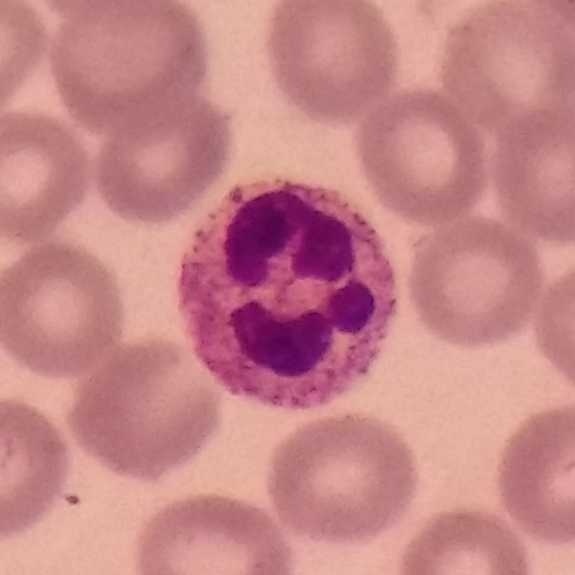Image: Smartphone camera mounted on the microscope eyepiece. Giemsa stain. Specimen: peripheral blood smear.
White blood cell type: neutrophil.
Lineage: myeloid.